Peripheral blood smear:
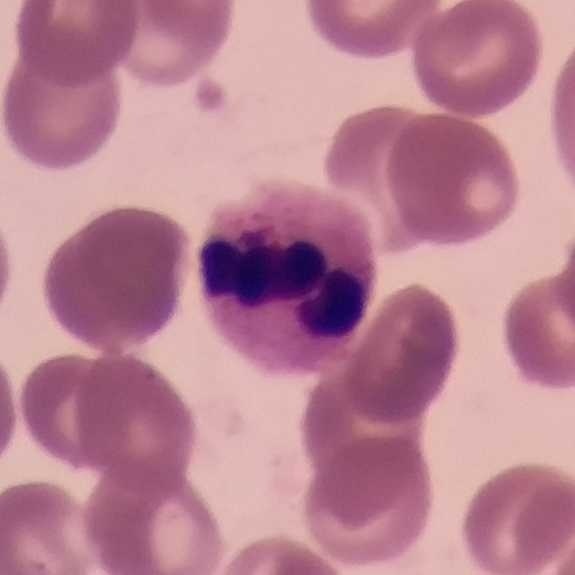

Morphology → neutrophil.